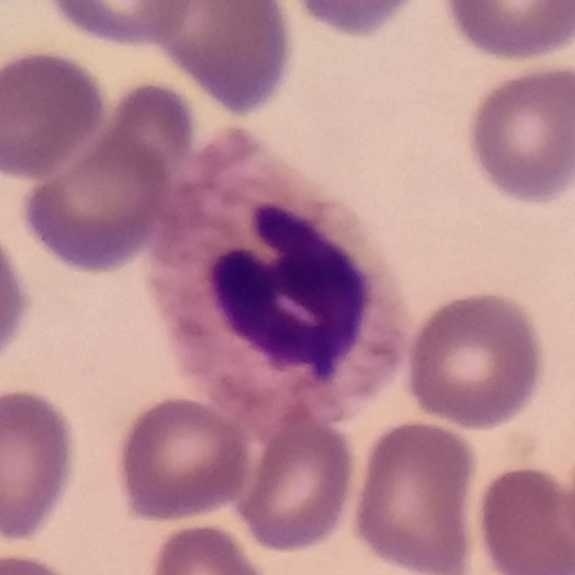 Image: Imaged at 100×. Peripheral blood smear. Photographed through a light microscope with a smartphone camera.
Morphology — neutrophil.